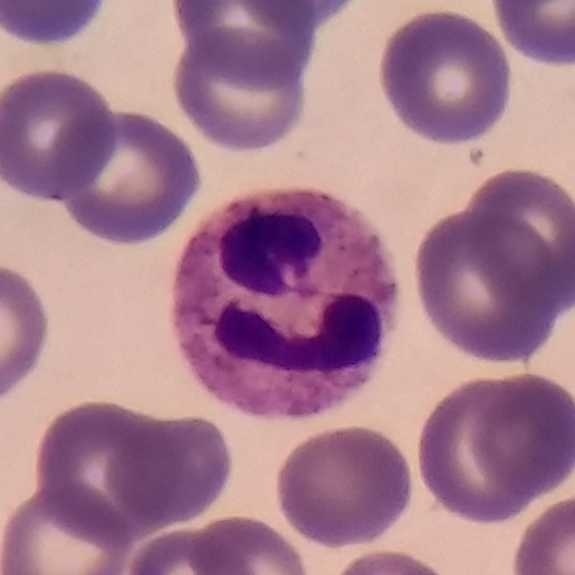Q: What type of cell is this?
A: It is a neutrophil granulocyte.